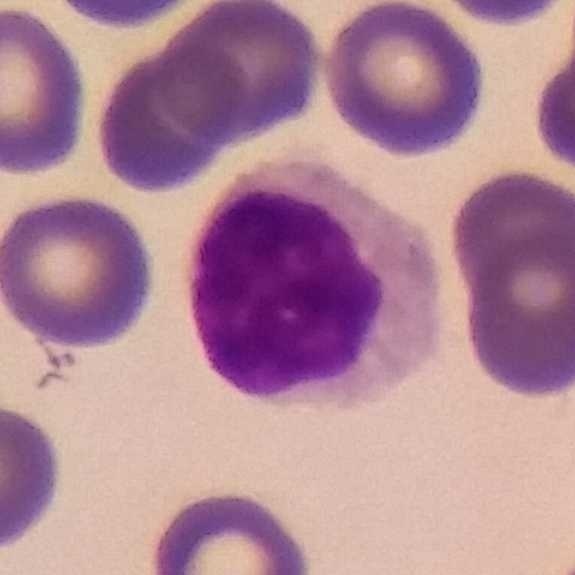Preparation: Giemsa stain. Peripheral blood smear.
Impression → lymphocyte.